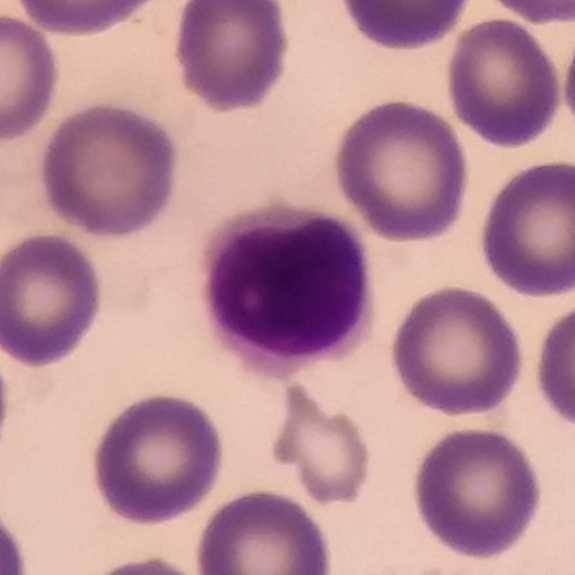 Acquisition: Peripheral blood smear. 100× magnification. Single-cell field. The cell shown is a lymphocyte.